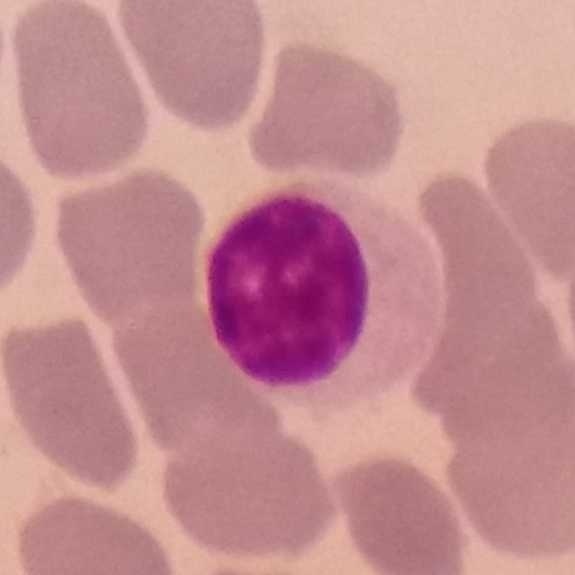

Showing a lymphocyte. Image: Peripheral blood smear.